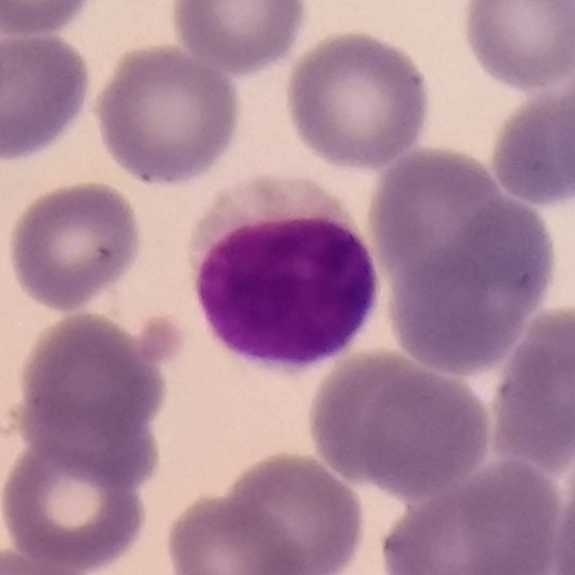 Showing a lymphocyte.

Image: Smartphone photomicrograph · imaged at 100× · peripheral blood smear.